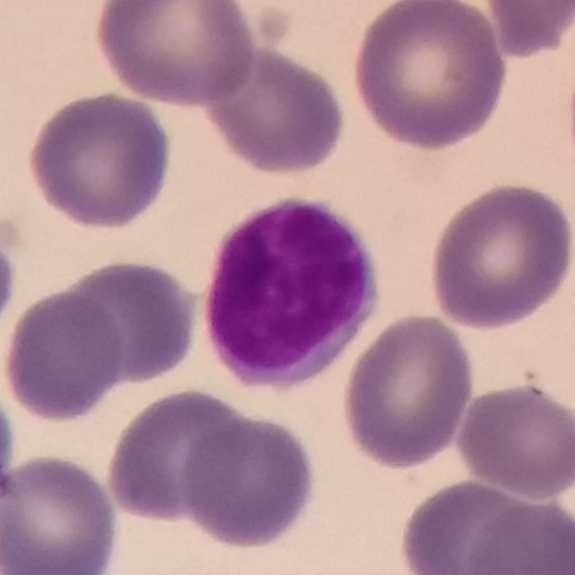 Image: Peripheral blood smear. Image size 575×575.

Q: What type of cell is this?
A: A lymphocyte.